Peripheral blood smear · magnification 100×:
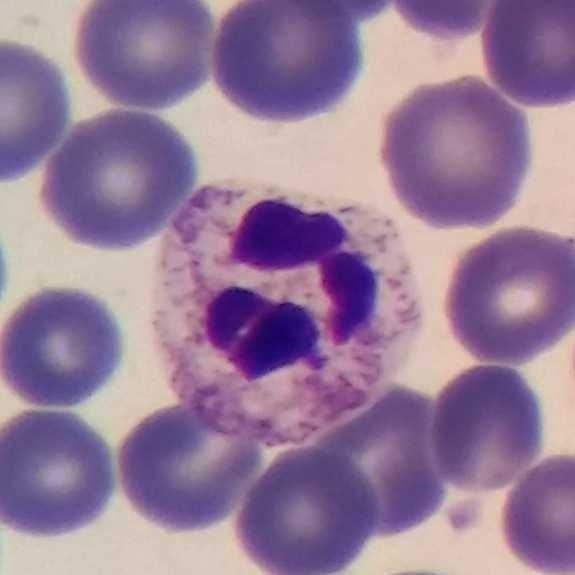

Morphology consistent with a neutrophil.